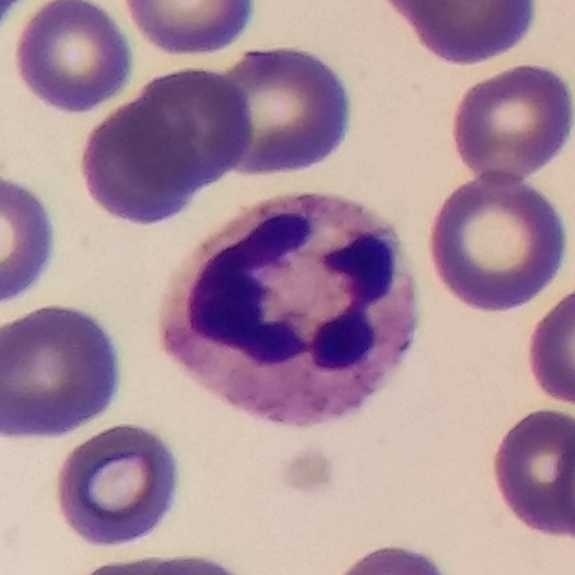 Peripheral blood film. Magnification 100×.
Morphology consistent with a neutrophil granulocyte.